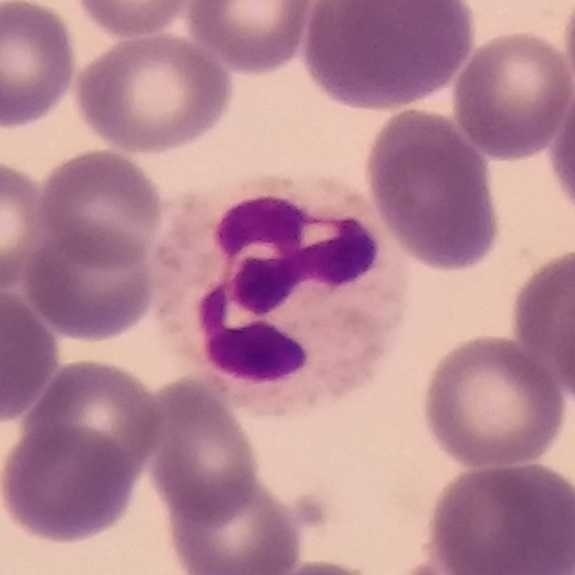 Specimen: peripheral blood film.
Cell: neutrophil.